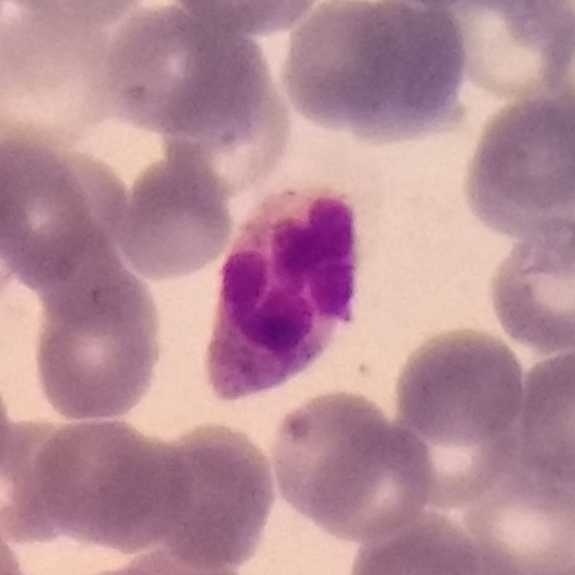 Morphology → neutrophil granulocyte.